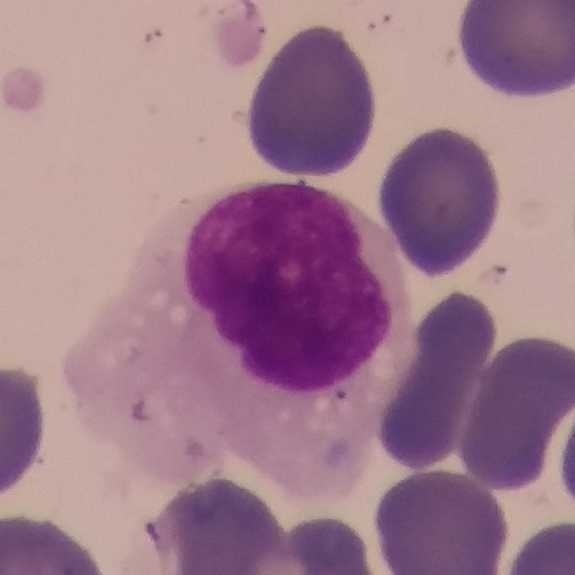Identified as a monocyte.

Context: Peripheral blood film.